Peripheral blood film:
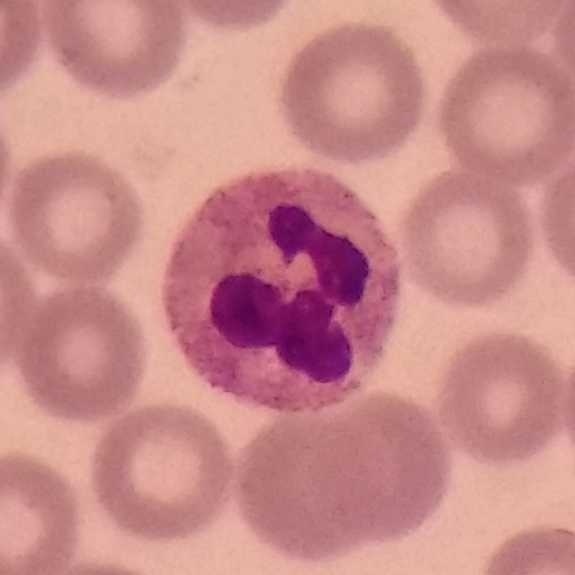

The cell shown is a neutrophil granulocyte.